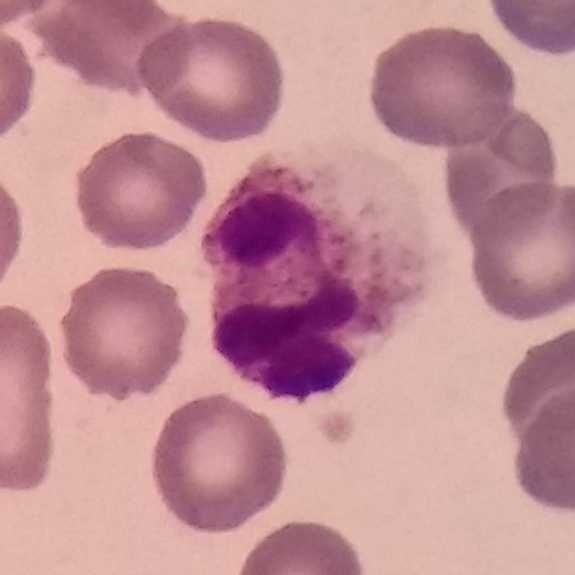

Acquisition: Peripheral blood smear.

Q: What is this?
A: This is a neutrophilic granulocyte.